Peripheral blood film. Imaged at 100×. Stained with Giemsa — 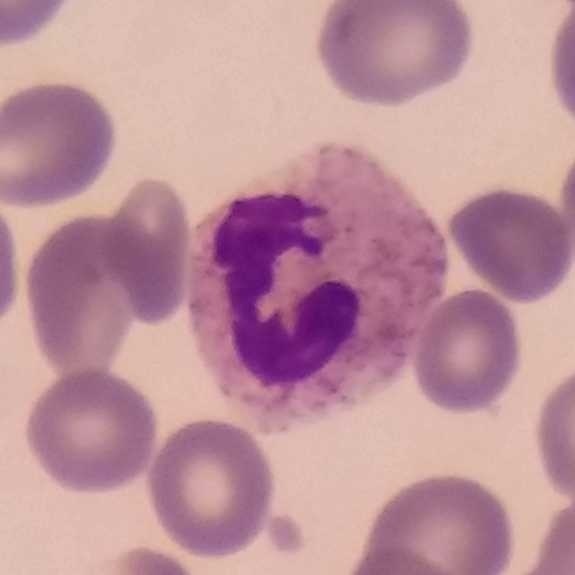 The white blood cell in this image is a neutrophilic granulocyte.